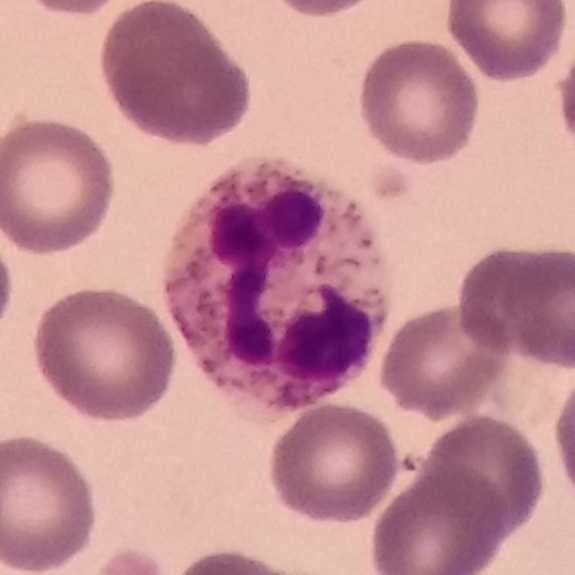The cell type is neutrophil granulocyte.